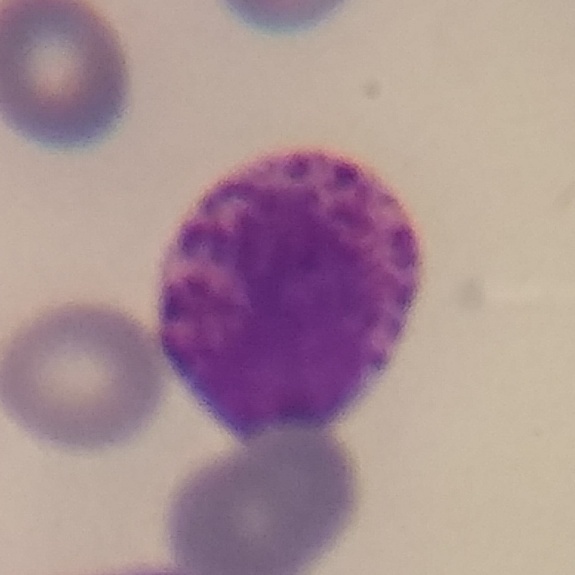 A basophilic granulocyte. Peripheral blood smear.